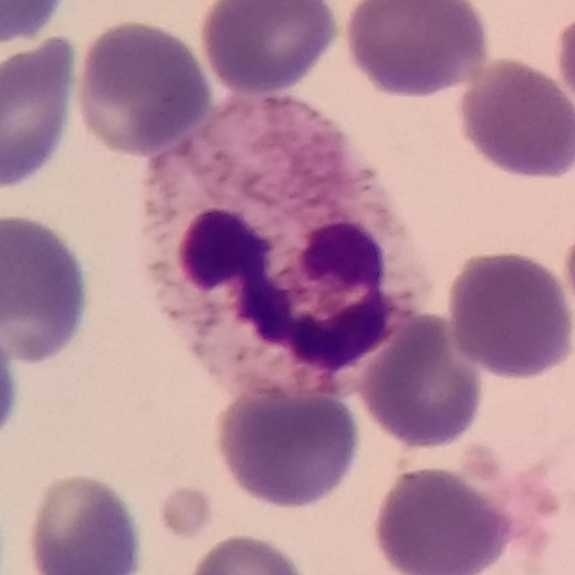The cell type is neutrophilic granulocyte.

Peripheral blood smear.